Peripheral blood film: 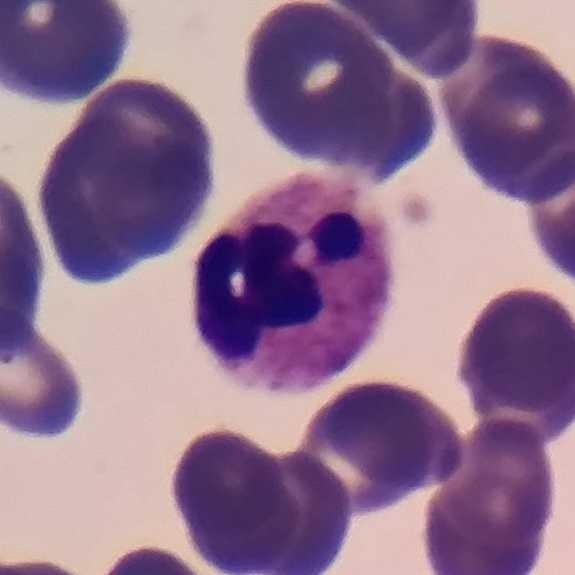This is a neutrophil granulocyte.